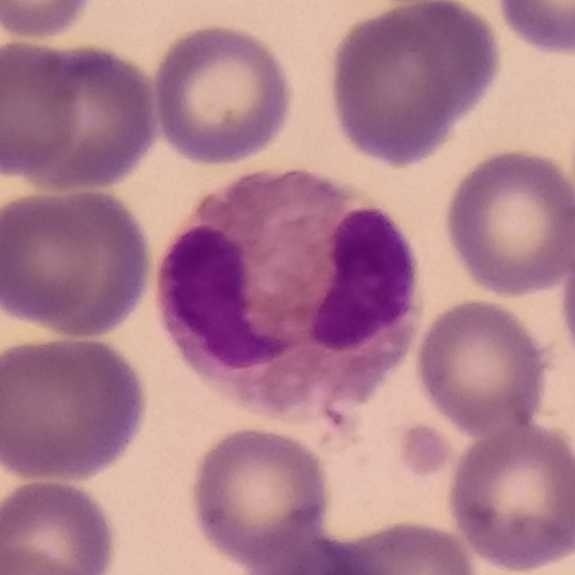Q: Identify the cell.
A: Eosinophil.
Image: Peripheral blood smear.